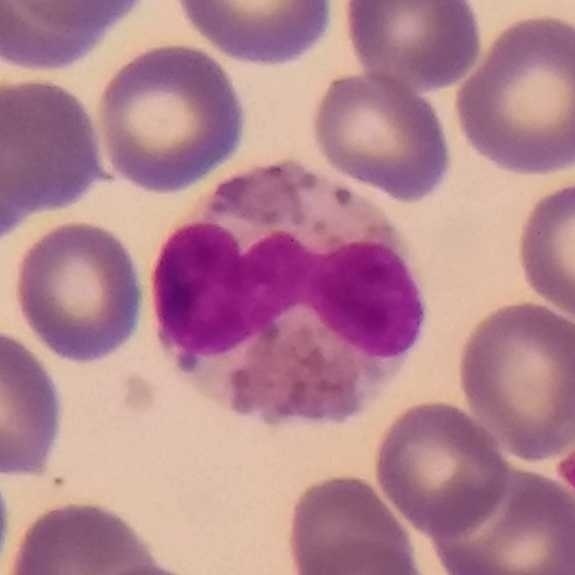Morphology — eosinophilic granulocyte.